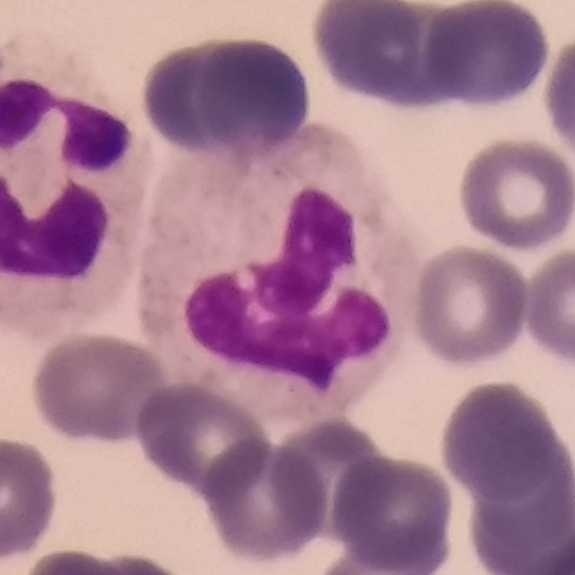 Preparation: Peripheral blood film; smartphone photomicrograph.
Q: Identify the cell.
A: A neutrophil.